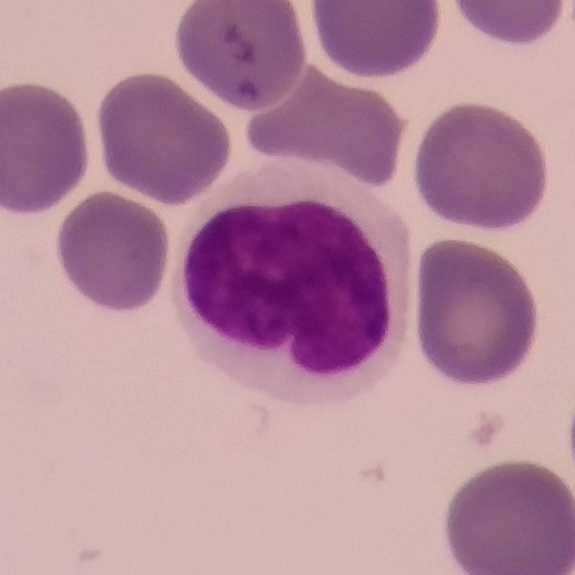
The cell type is lymphocyte.